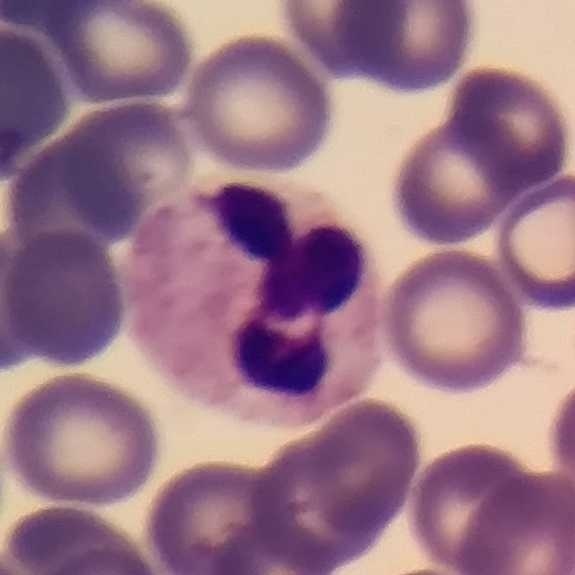
The cell shown is a neutrophilic granulocyte. Acquisition: Peripheral blood smear.